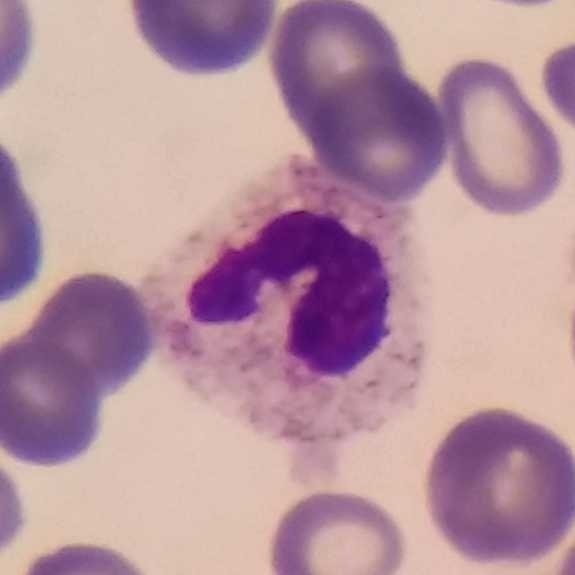Impression — neutrophilic granulocyte.